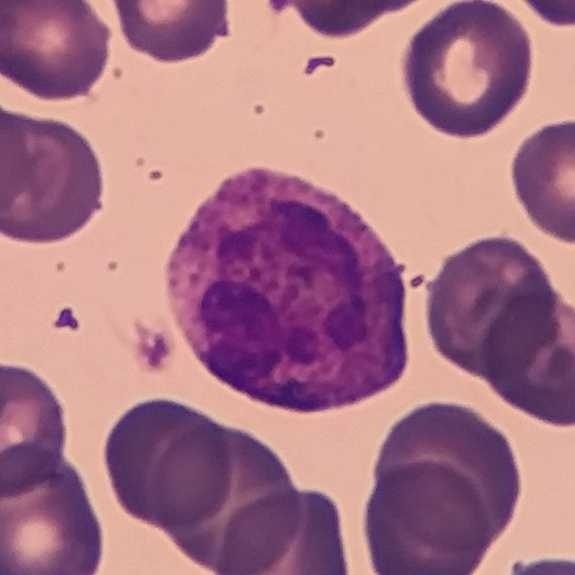

Morphology consistent with a neutrophil.